Peripheral blood smear; phone-camera image taken through the microscope ocular
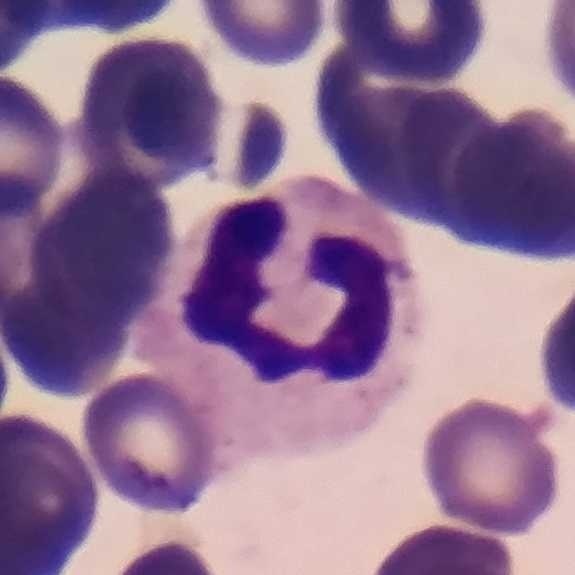 Cell = neutrophil granulocyte.